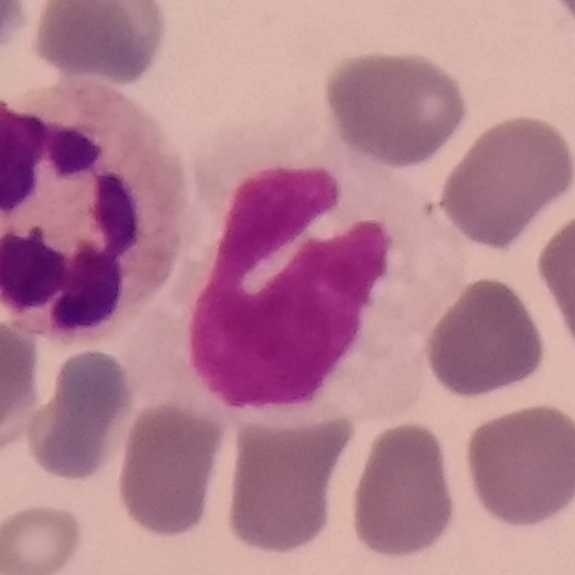The cell type is monocyte.